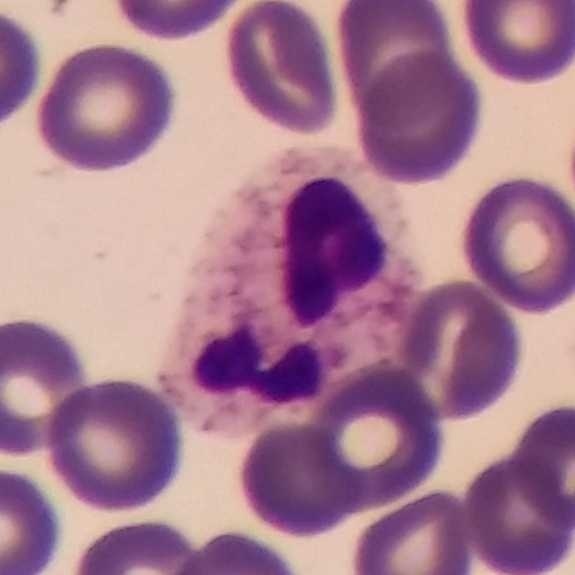Impression — neutrophil. Preparation: Peripheral blood smear. Smartphone camera mounted on the microscope eyepiece.